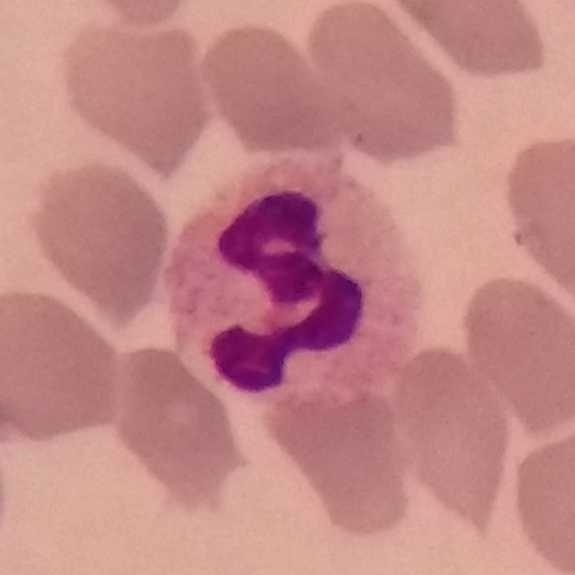 Cell — neutrophil granulocyte.

Acquisition: Magnification 100× · peripheral blood film · Giemsa stain.